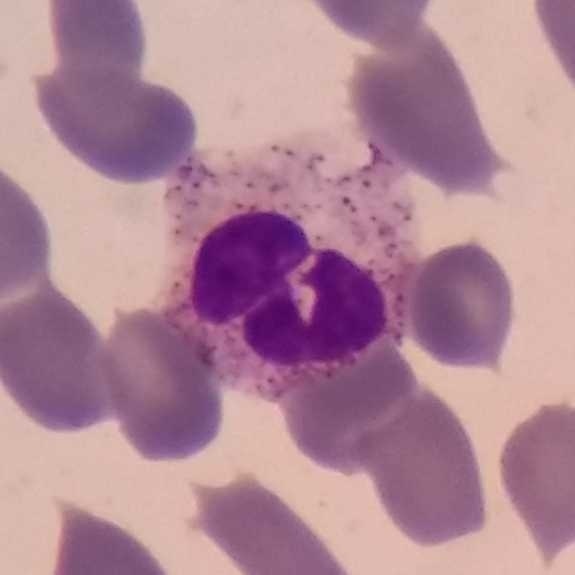 A neutrophilic granulocyte on a peripheral blood smear.